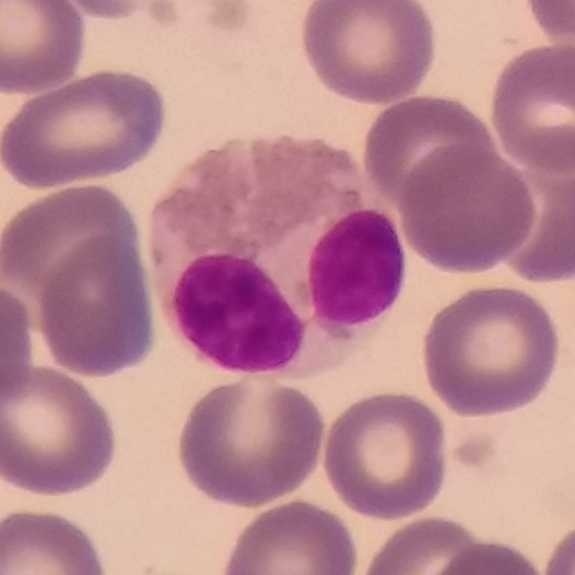Peripheral blood smear. Eosinophilic granulocyte.